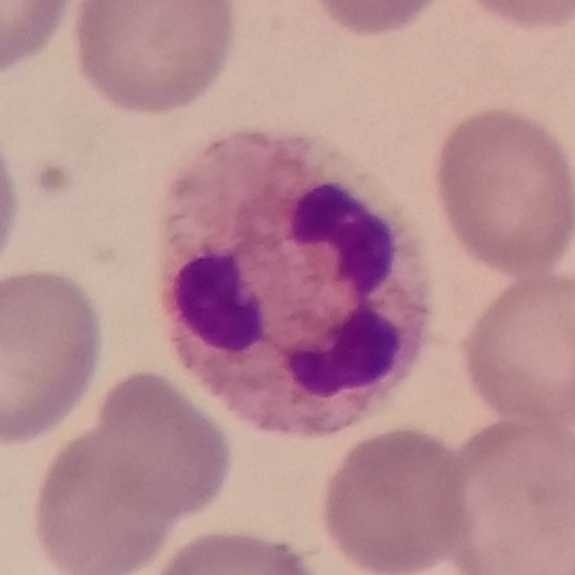 Identified as a neutrophil.